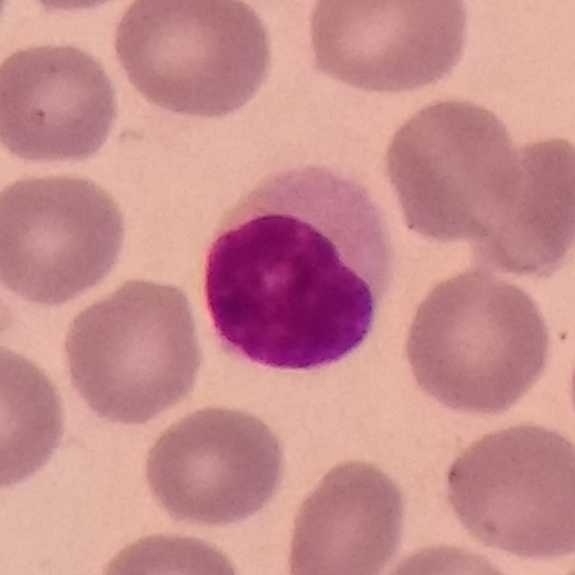 The cell shown is a lymphocyte.

Acquisition: Smartphone camera mounted on the microscope eyepiece · peripheral blood film · 575×575.